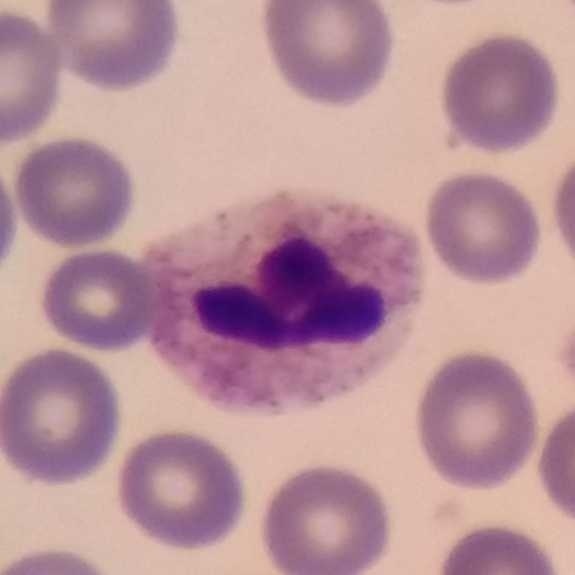Q: What type of cell is this?
A: Neutrophilic granulocyte.
Image: 100× magnification · photographed through a light microscope with a smartphone camera · peripheral blood film.